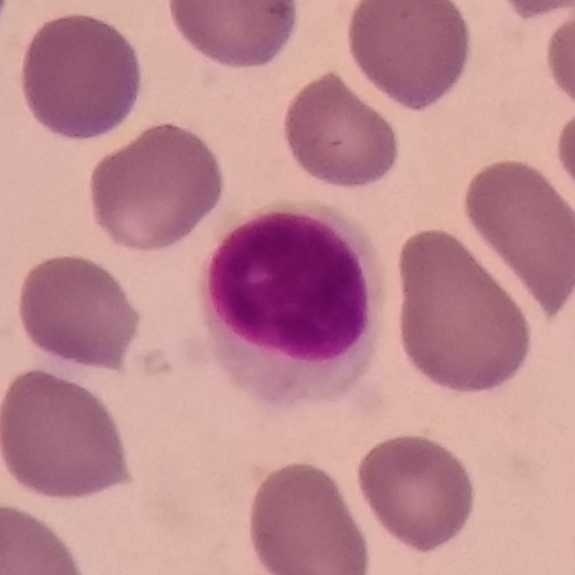A lymphocyte.

Image: Peripheral blood film · 575 by 575 pixels.